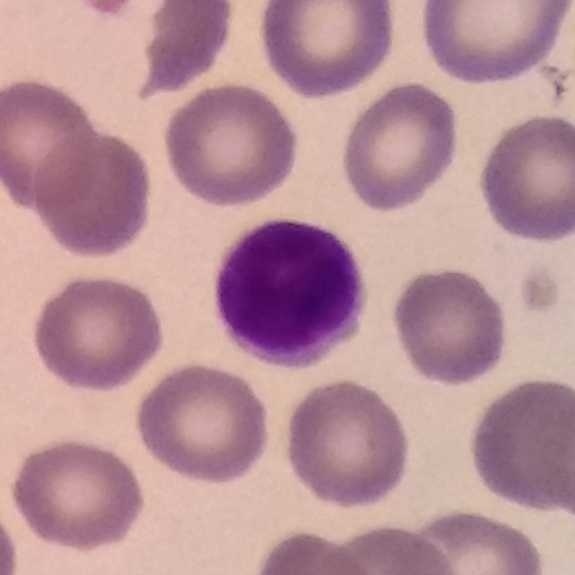Cell: lymphocyte.